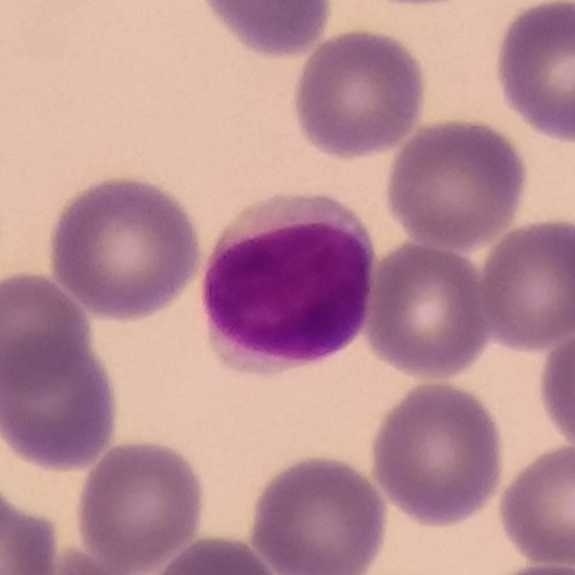

Acquisition: Peripheral blood film. 575 by 575 pixels.
Q: Identify the cell.
A: A lymphocyte.